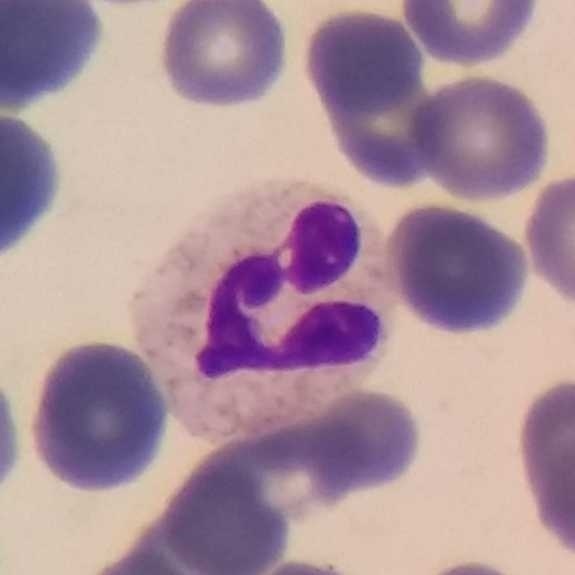

Impression — neutrophil granulocyte.